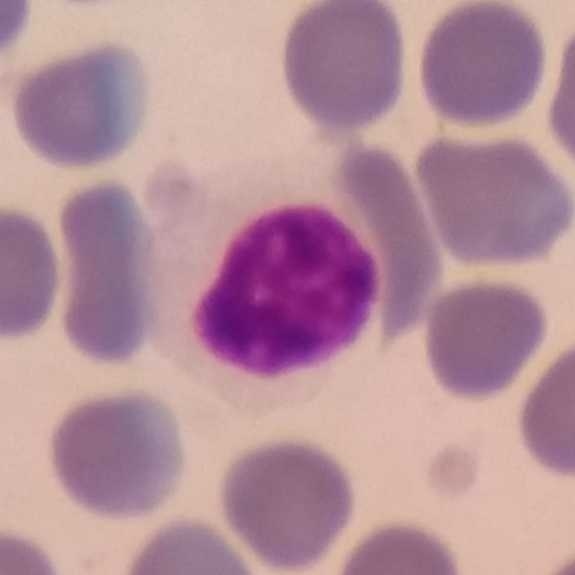 Specimen: peripheral blood film.
Morphological class: lymphocyte.
Lineage: lymphoid.